Peripheral blood smear.
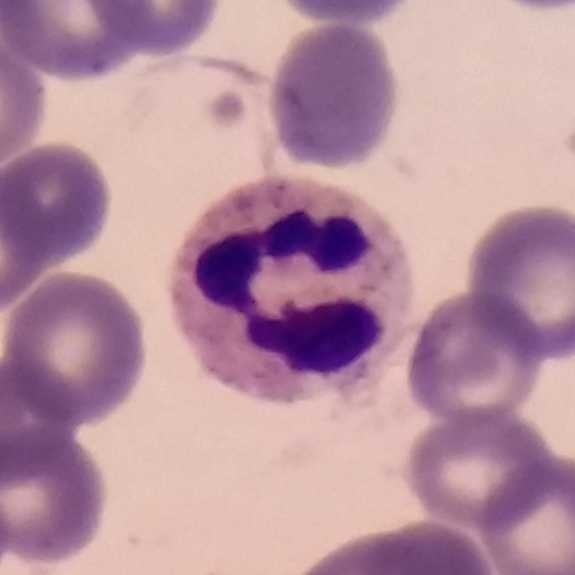Morphology consistent with a neutrophil granulocyte.